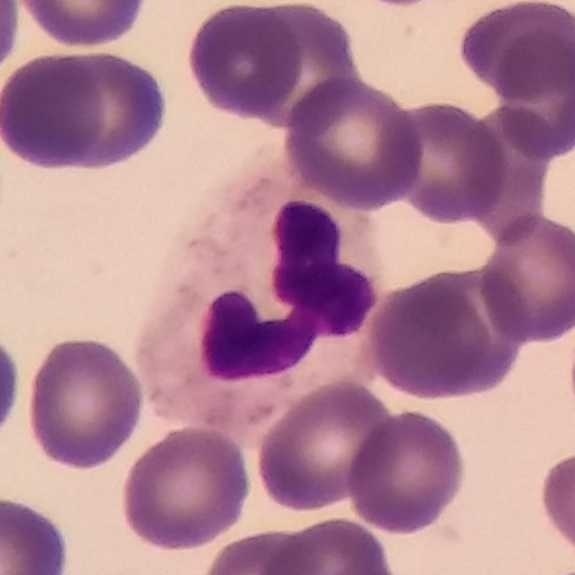
Specimen: peripheral blood film.
White blood cell type: neutrophilic granulocyte.
Lineage: myeloid.
Preparation: 575 by 575 pixels.